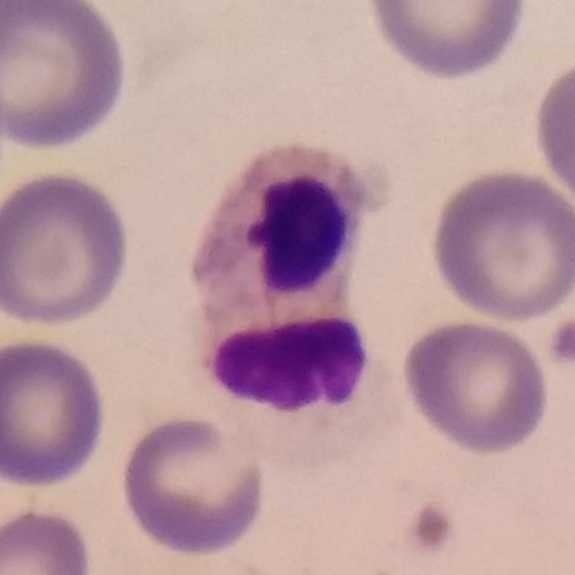 Preparation: 575×575 px · peripheral blood film.
Identified as a neutrophil.